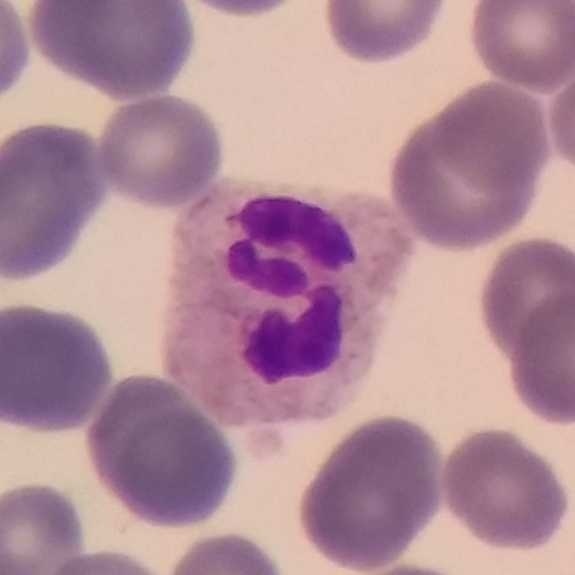 The white blood cell in this image is a neutrophil. Preparation: Peripheral blood smear; phone-camera image taken through the microscope ocular.